Peripheral blood film.
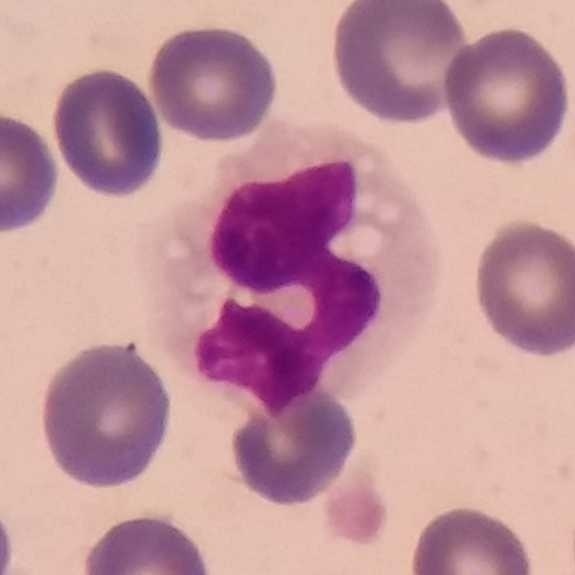This is a monocyte.